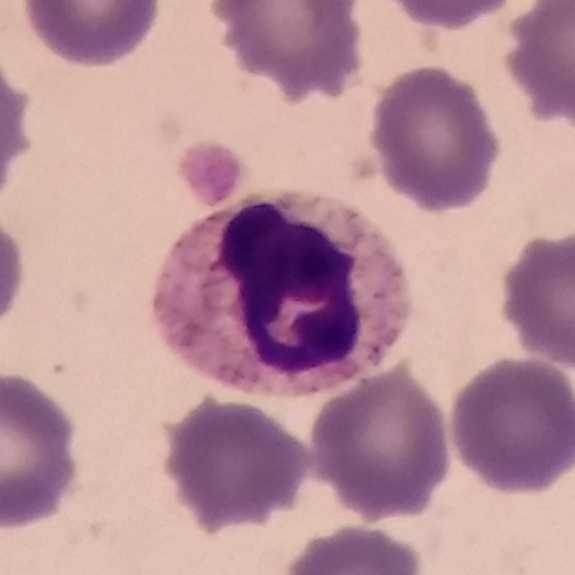 Specimen: peripheral blood film.
Morphological class: neutrophil granulocyte.
Lineage: myeloid.

Acquisition: 575×575 · single-cell field.